Peripheral blood smear — 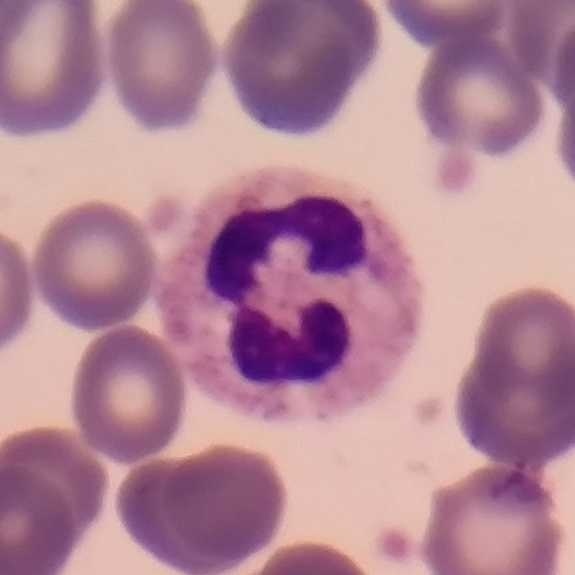Classification — neutrophil granulocyte.